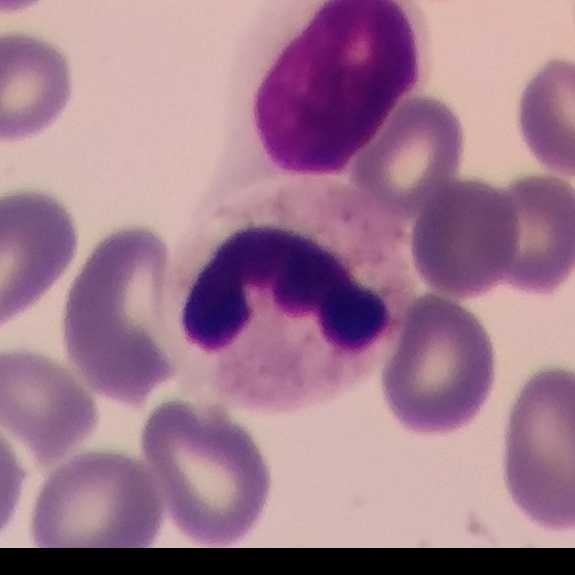Preparation: 575×575 px. Peripheral blood film. Giemsa-stained. Classification = neutrophilic granulocyte.